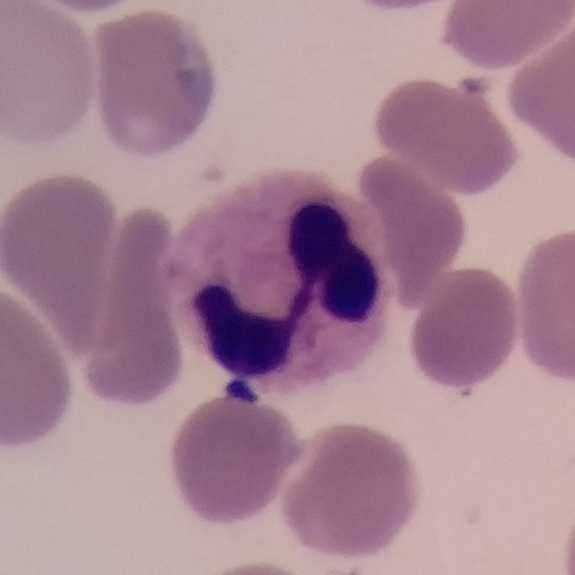
Preparation: Peripheral blood smear; phone-camera image taken through the microscope ocular.
The cell shown is a neutrophilic granulocyte.